Peripheral blood smear
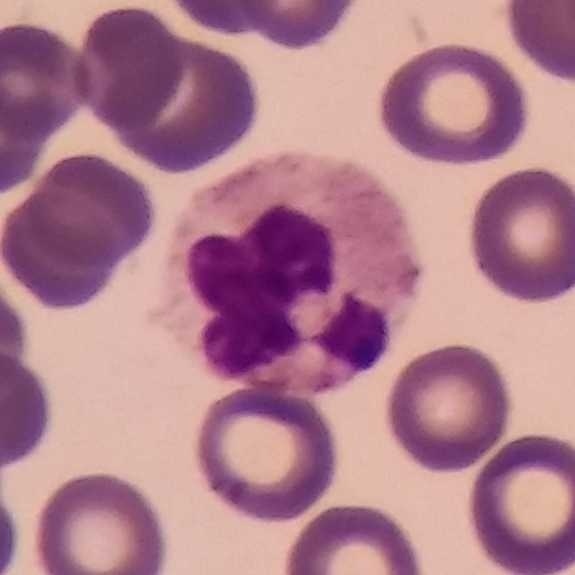

Morphological class = neutrophilic granulocyte.